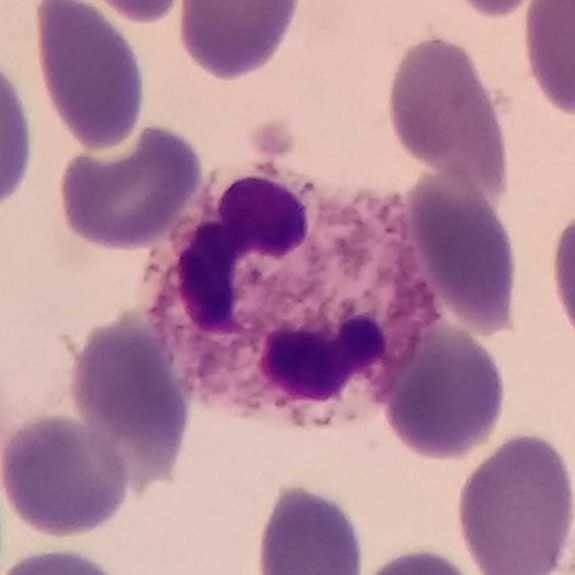

Context: Peripheral blood smear · imaged at 100×.

Q: Classify this leukocyte.
A: This is a neutrophil granulocyte.